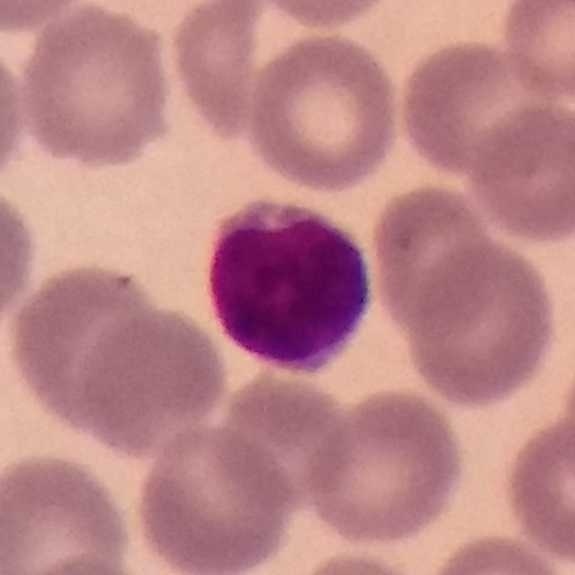
Specimen: peripheral blood smear.
Classification: lymphocyte.
Lineage: lymphoid.